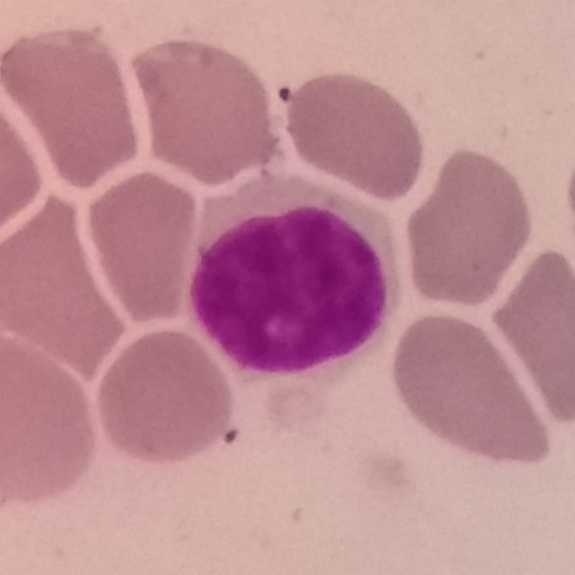

Showing a lymphocyte.